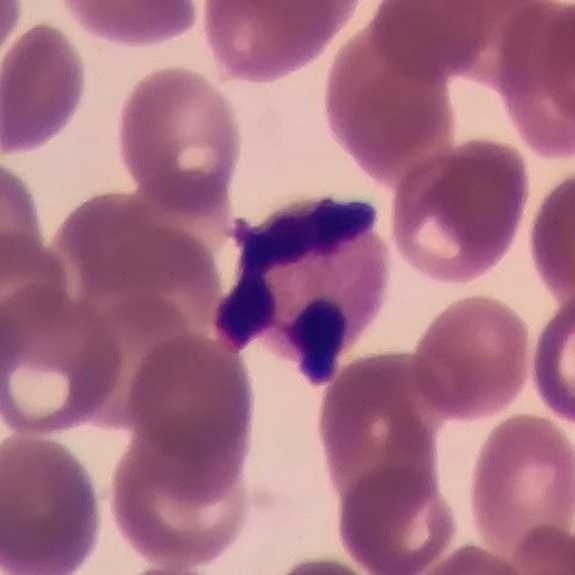

This is a neutrophil. Preparation: Peripheral blood smear.